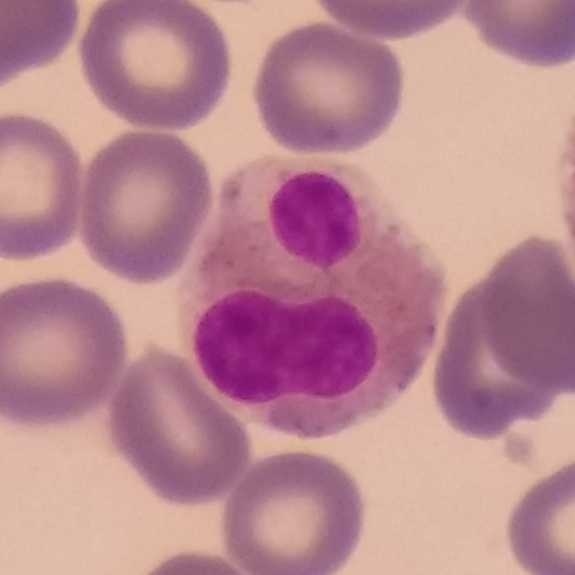Impression — eosinophilic granulocyte.